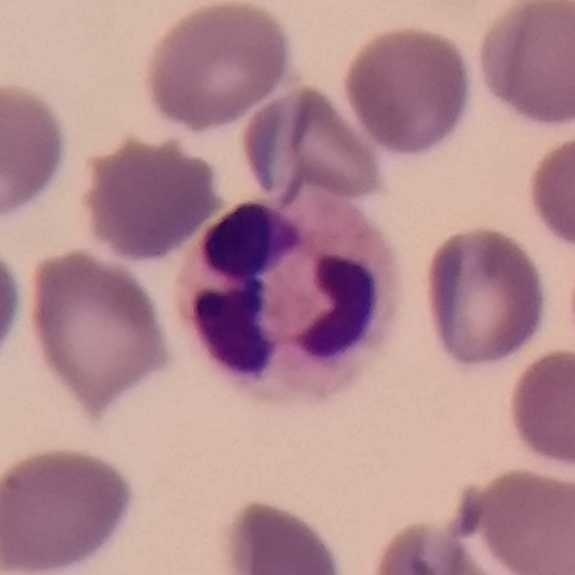
Image: Peripheral blood smear. Imaged at 100×.

Neutrophil.